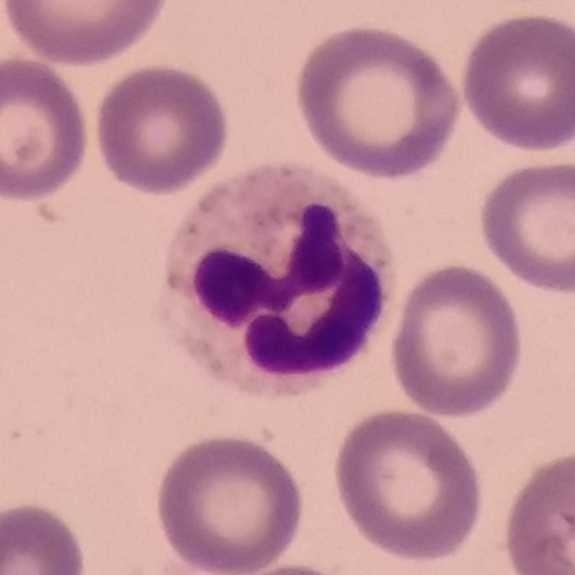 Showing a neutrophilic granulocyte. Peripheral blood smear.